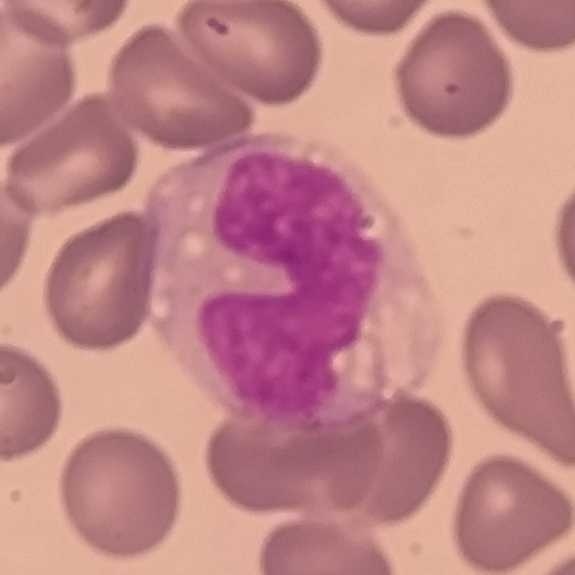 The cell is monocyte.

Preparation: Image size 575×575. Peripheral blood film.